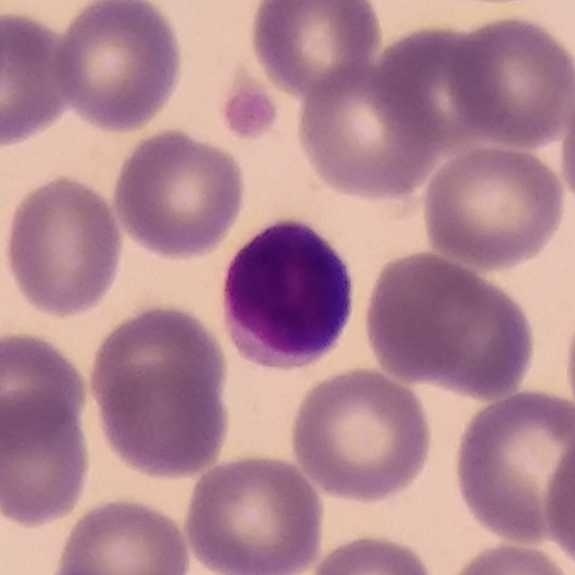 Peripheral blood film, single cell — lymphocyte.